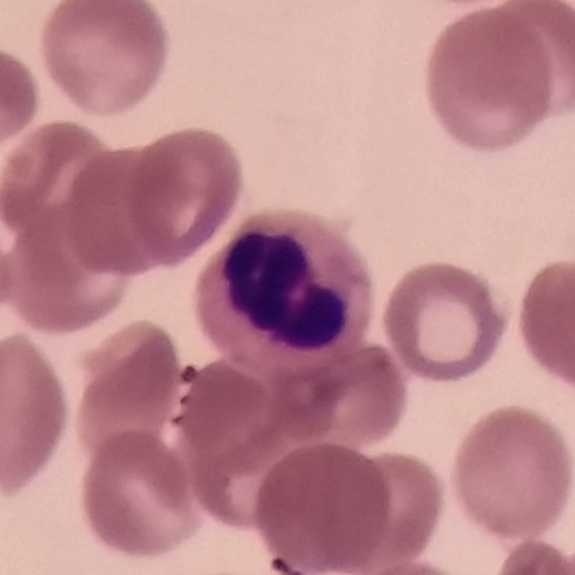 White blood cell from a peripheral blood smear: neutrophil granulocyte.